Giemsa-stained · peripheral blood smear
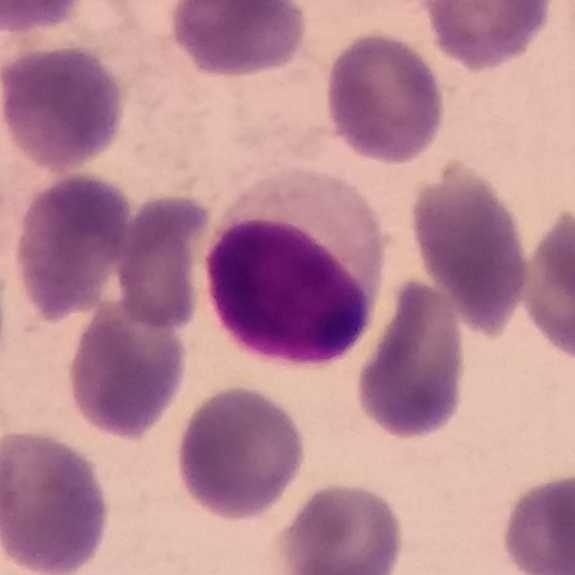
Single cell identified as a lymphocyte.